Peripheral blood smear — 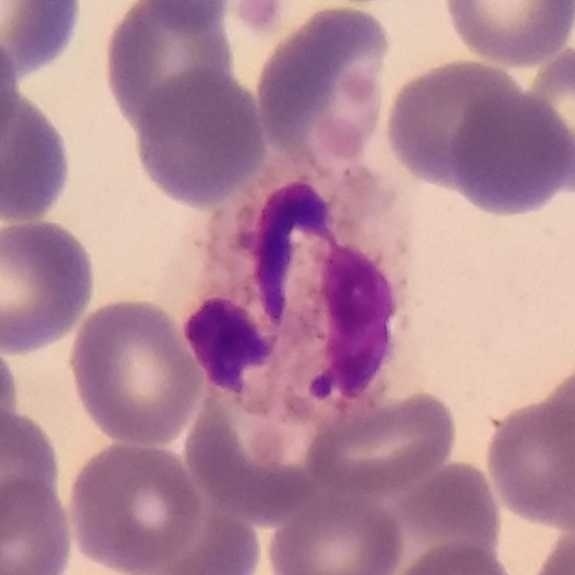
Impression → neutrophil.